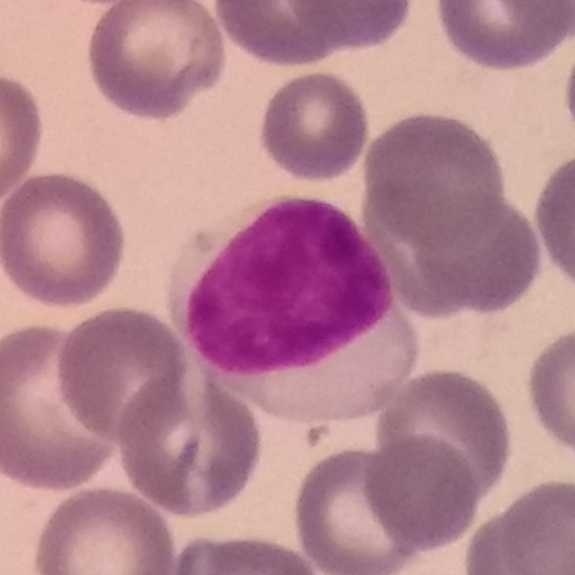 Morphology → lymphocyte.